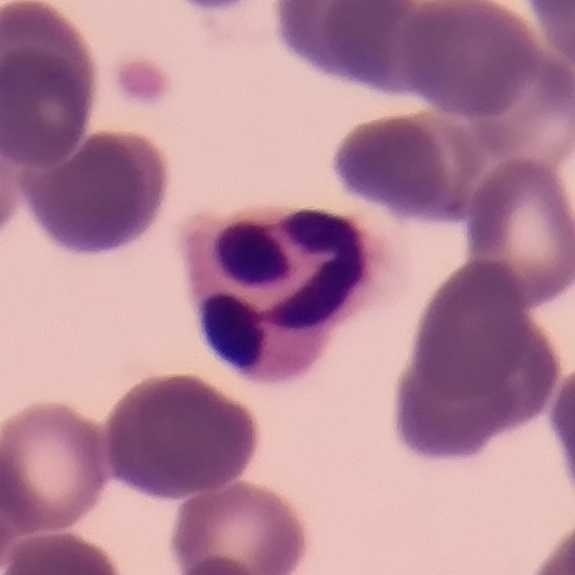

The white blood cell in this image is a neutrophil granulocyte. Peripheral blood film · stained with Giemsa.